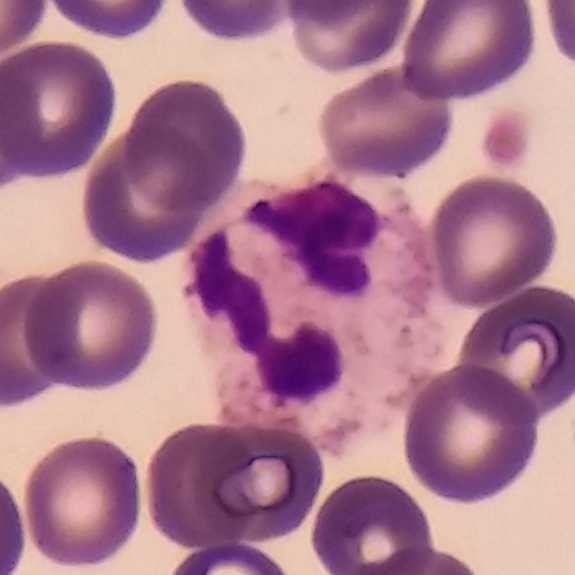Cropped to one leukocyte. Peripheral blood film.

Identified as a neutrophil.